Peripheral blood smear. Imaged at 100×:
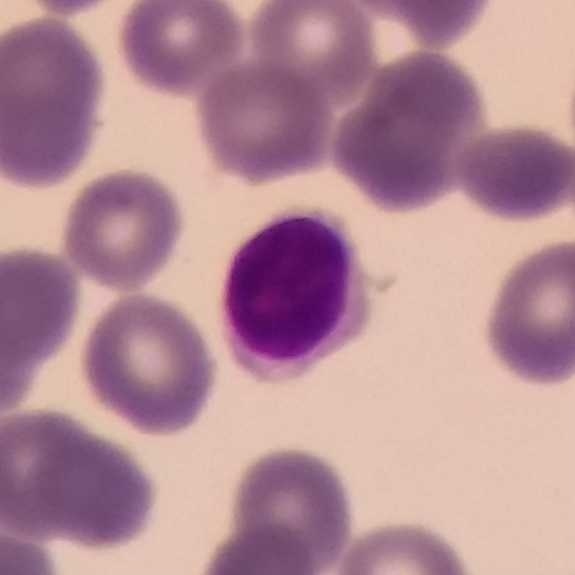

Single cell identified as a lymphocyte.